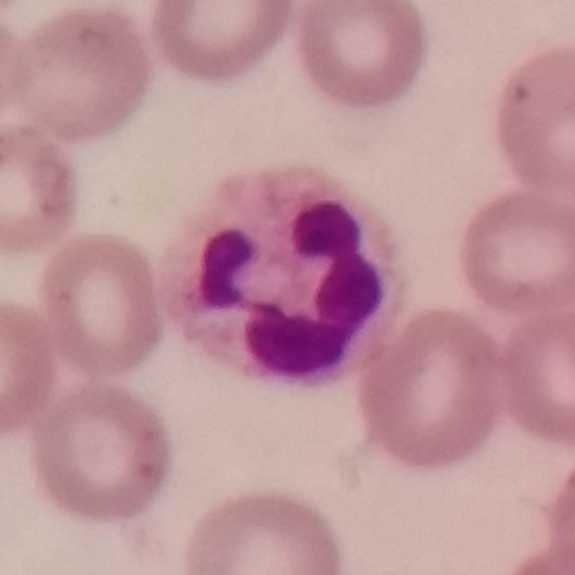
Context: Peripheral blood film.

Classification: neutrophil.